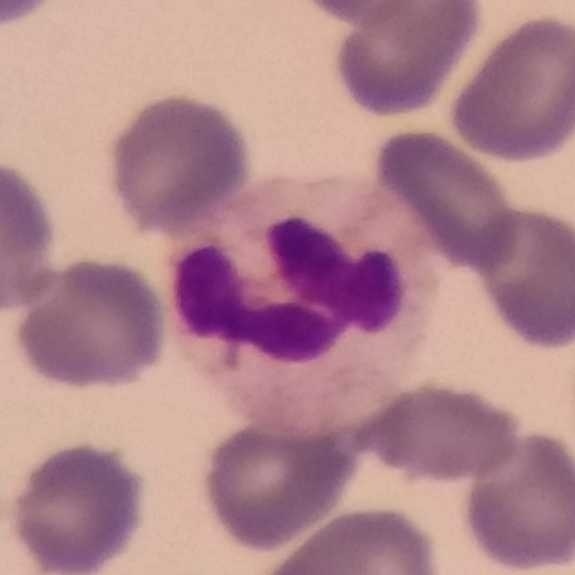 Context: Peripheral blood smear.

Q: What is the morphological classification of this cell?
A: It is a neutrophil.